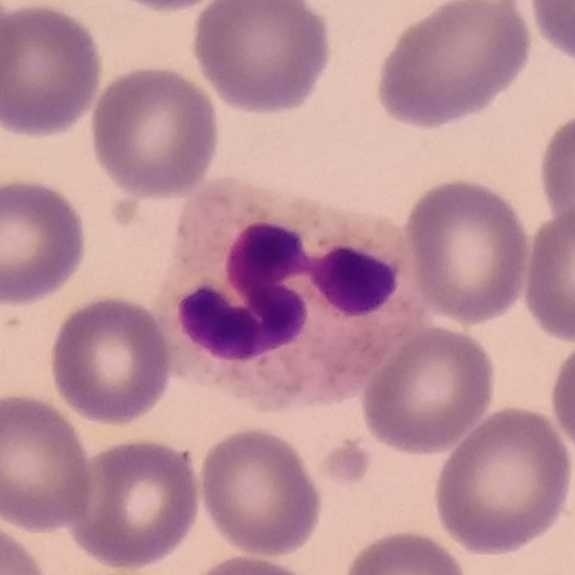A neutrophil.

Context: Imaged at 100×; peripheral blood smear.